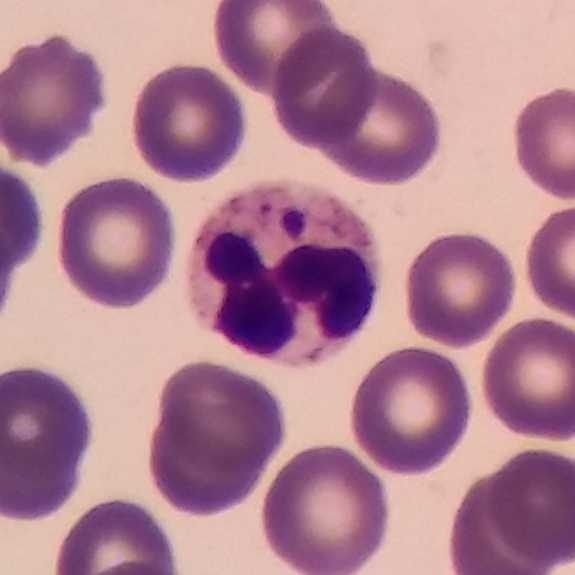The white blood cell in this image is a neutrophil granulocyte. Image size 575×575 · phone-camera image taken through the microscope ocular · peripheral blood film.